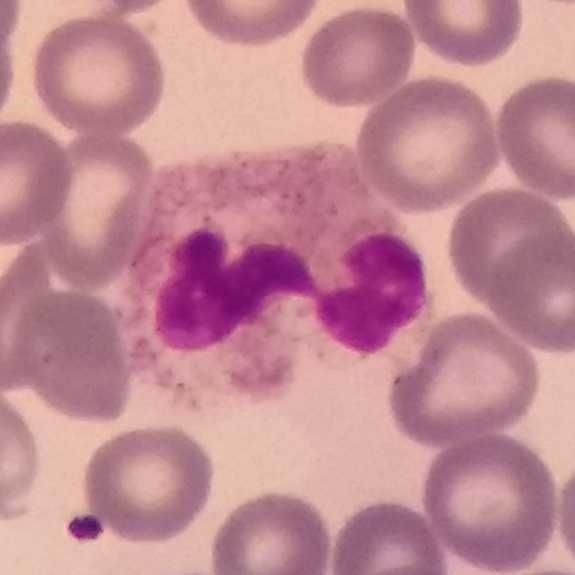

Image: Peripheral blood film. Identified as a neutrophilic granulocyte.